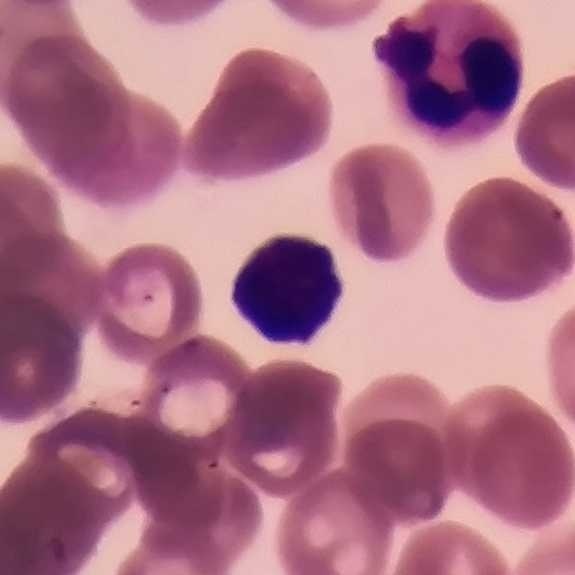Image: Peripheral blood smear. Single white blood cell cropped from the smear photograph. Giemsa stain.

Cell type: lymphocyte.